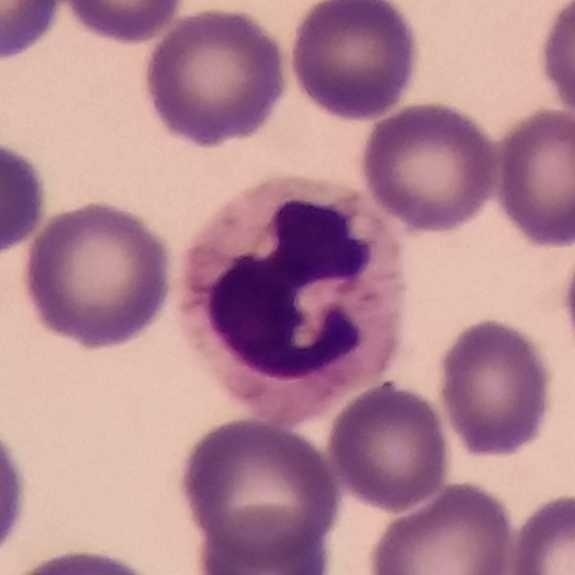
Cell type = neutrophil. Image: Giemsa-stained · peripheral blood smear.